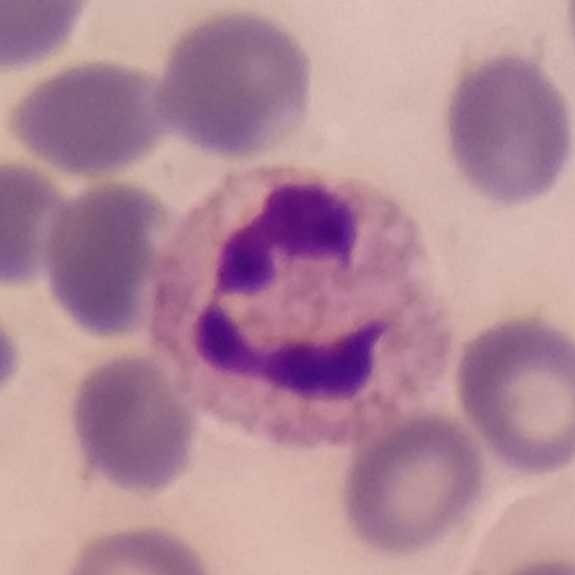 This is a neutrophilic granulocyte.